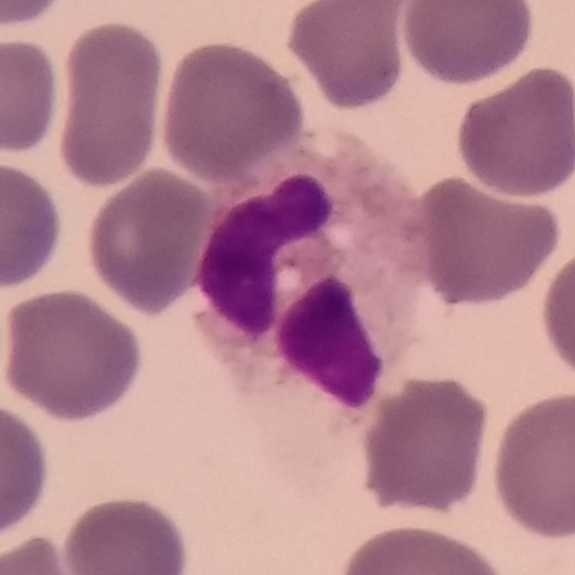

Impression — neutrophil.

Acquisition: Peripheral blood smear.